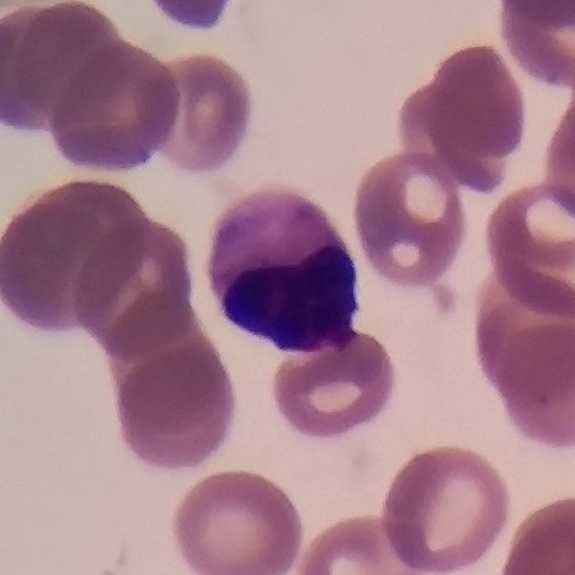 Identified as a lymphocyte.

Acquisition: Peripheral blood smear.